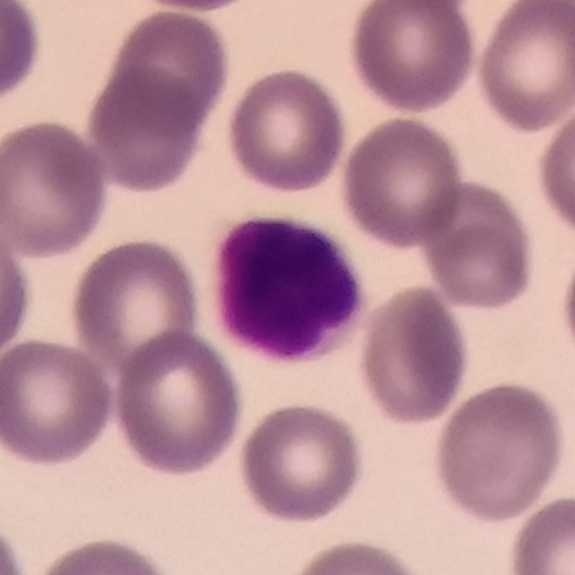
Peripheral blood film.
Lymphocyte.